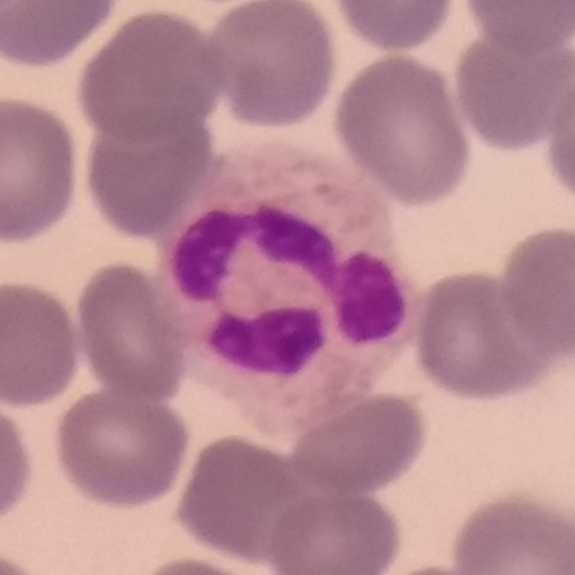 The cell is neutrophilic granulocyte.